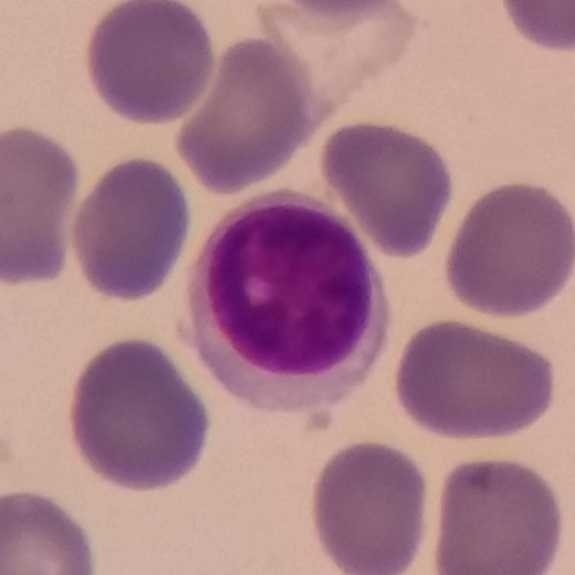

Acquisition: Peripheral blood film; photographed through a light microscope with a smartphone camera.

Morphology consistent with a lymphocyte.